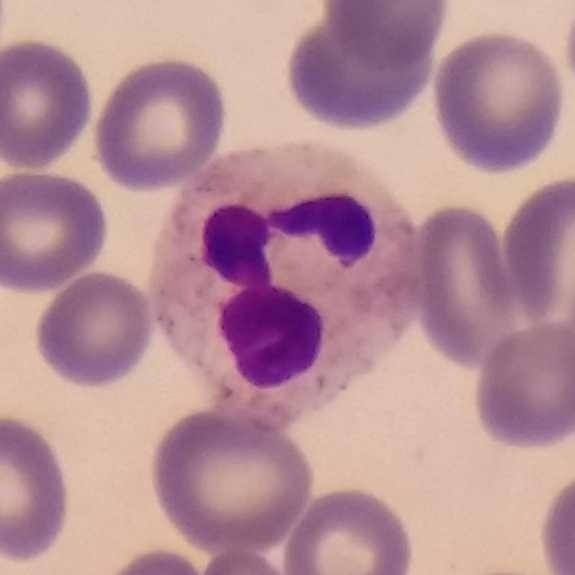Cell = neutrophil.
Preparation: Peripheral blood film.